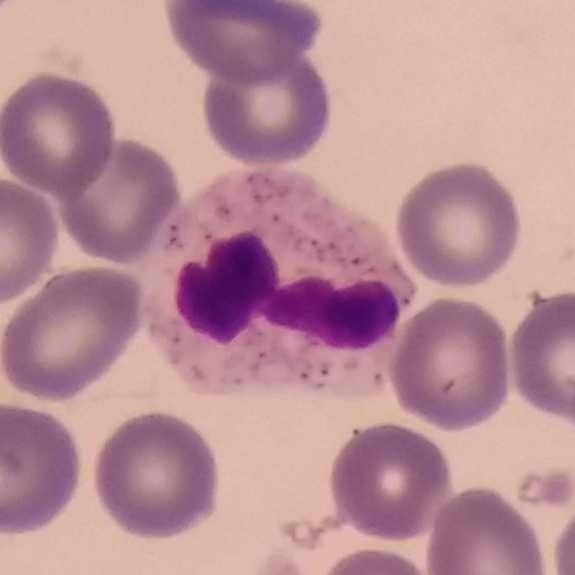

The white blood cell type is neutrophil granulocyte.